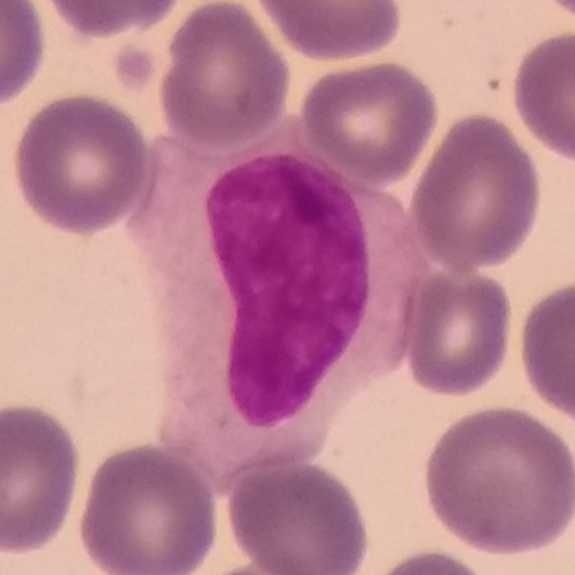

Q: Classify this leukocyte.
A: A monocyte. Preparation: 575×575 px · peripheral blood film · single-cell crop.